Peripheral blood film: 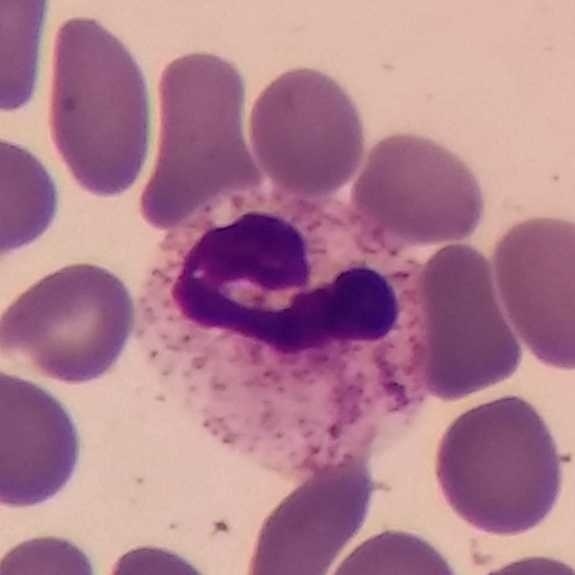
The cell is neutrophilic granulocyte.